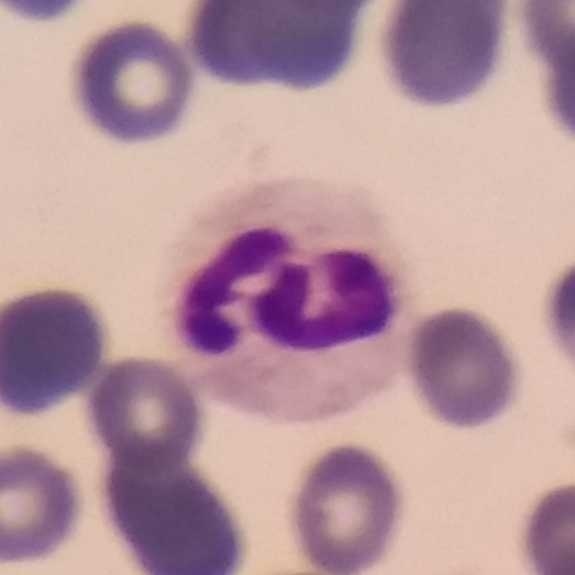Neutrophilic granulocyte.